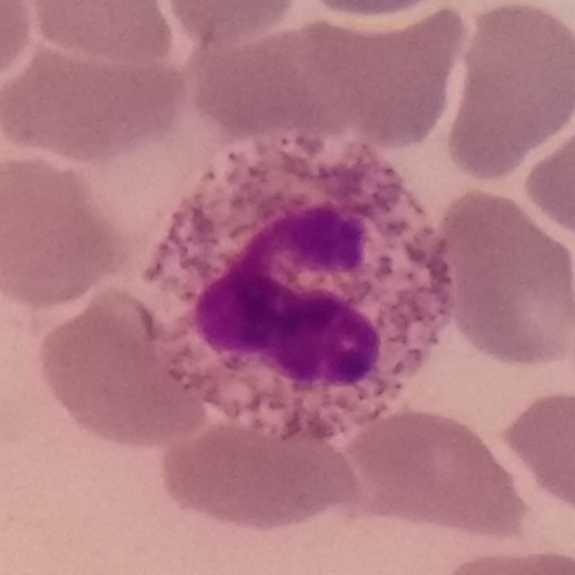Image: Peripheral blood film.

Q: What type of cell is this?
A: It is a neutrophil.